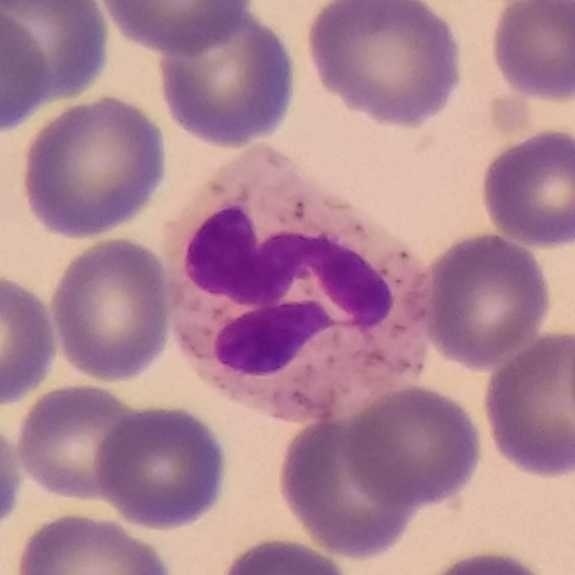
Acquisition: Peripheral blood smear · single-cell field.
Classification — neutrophilic granulocyte.